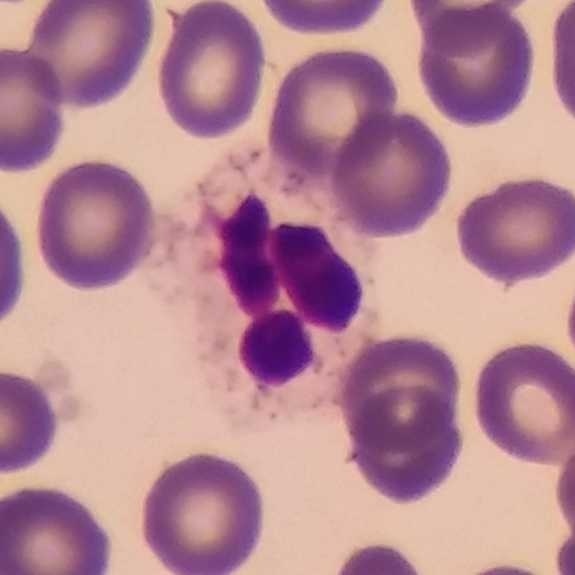White blood cell from a peripheral blood smear: neutrophil granulocyte.